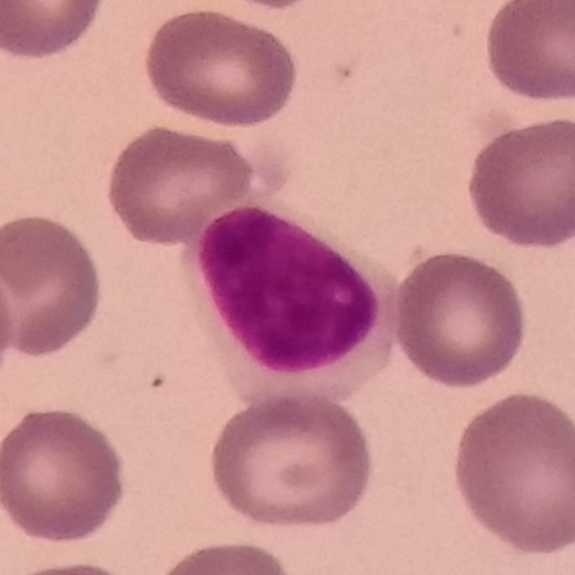White blood cell type = lymphocyte.